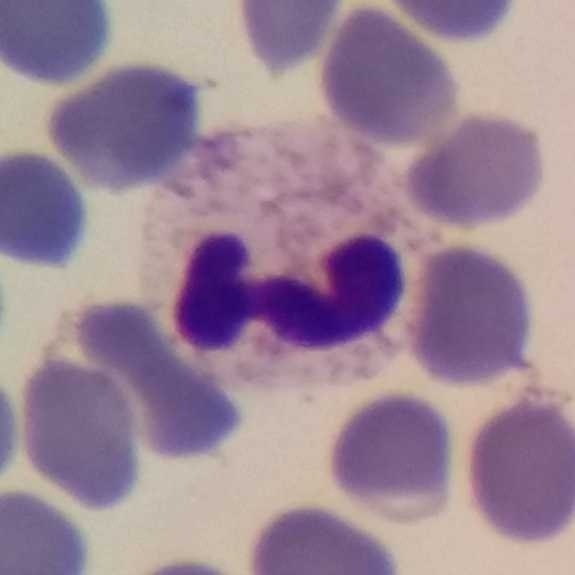
A neutrophil granulocyte on a peripheral blood smear.